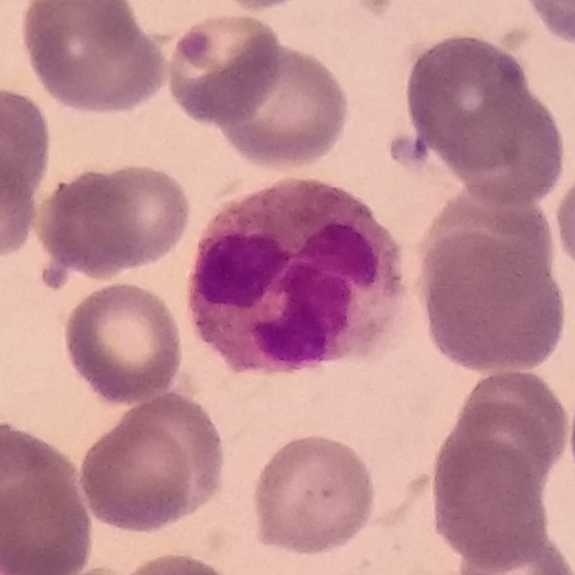 Acquisition: Stained with Giemsa · peripheral blood film. Impression — neutrophil granulocyte.